Peripheral blood film: 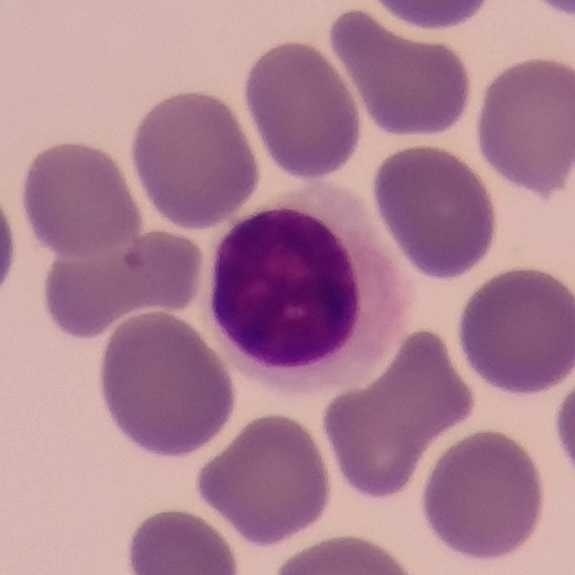

Q: What is shown here?
A: A lymphocyte.